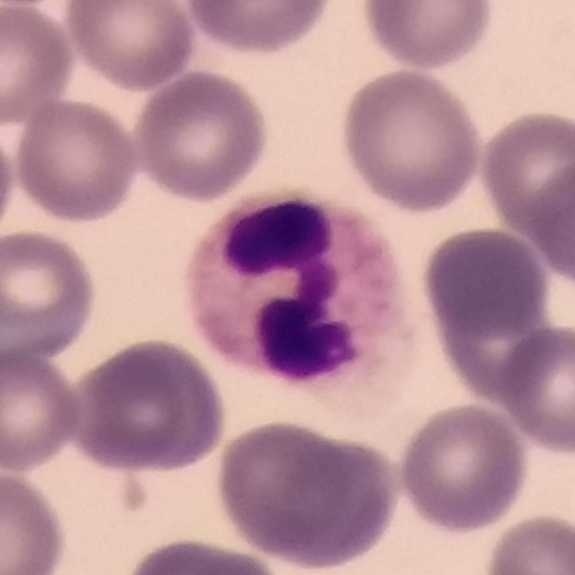 Identified as a neutrophilic granulocyte.

Preparation: Photographed through a light microscope with a smartphone camera. Peripheral blood smear. Image size 575×575.